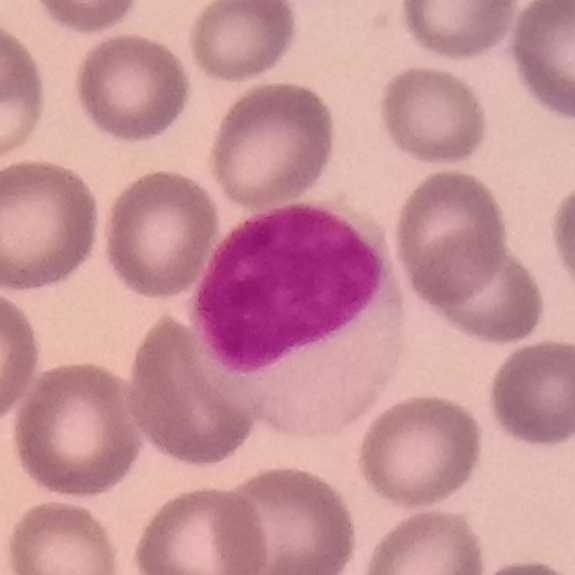Lymphocyte.